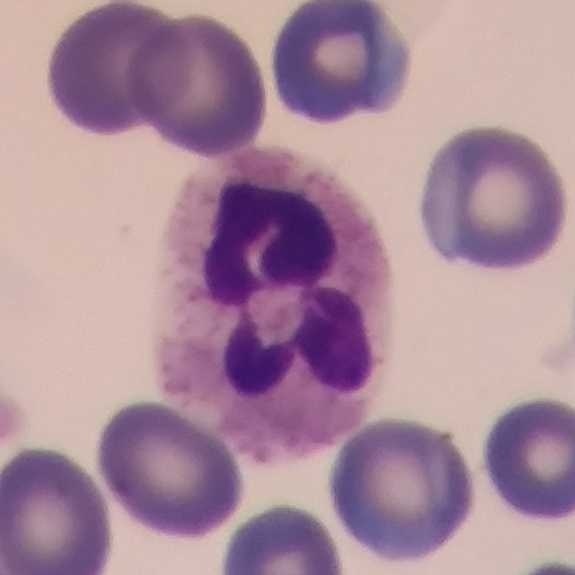 Identified as a neutrophil. Image: Smartphone camera mounted on the microscope eyepiece. Peripheral blood film.